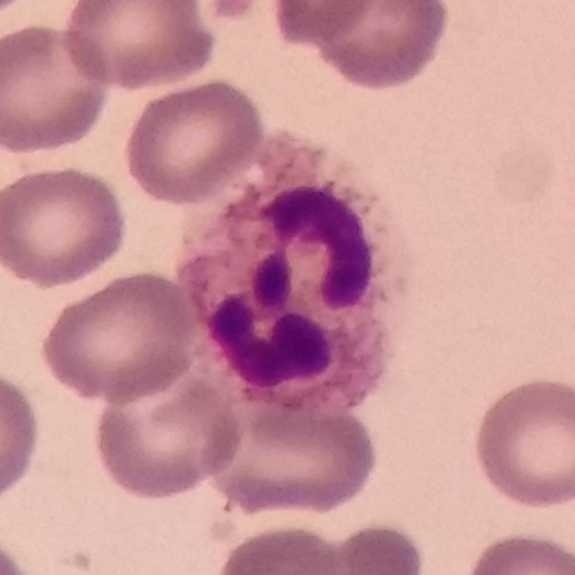Specimen: peripheral blood smear.
Cell: neutrophil granulocyte.